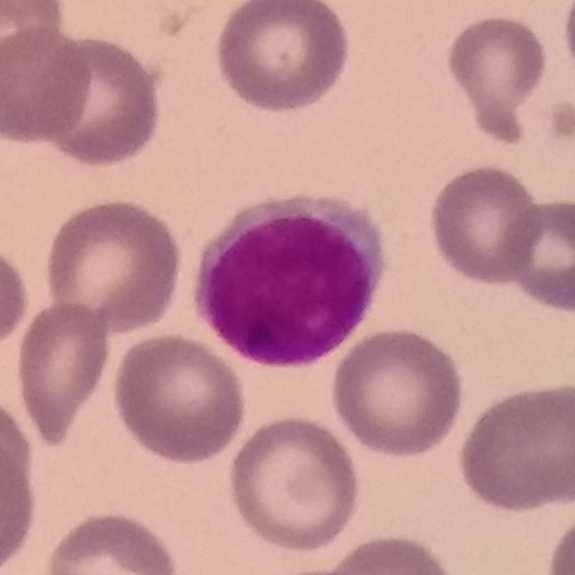Single cell identified as a lymphocyte.